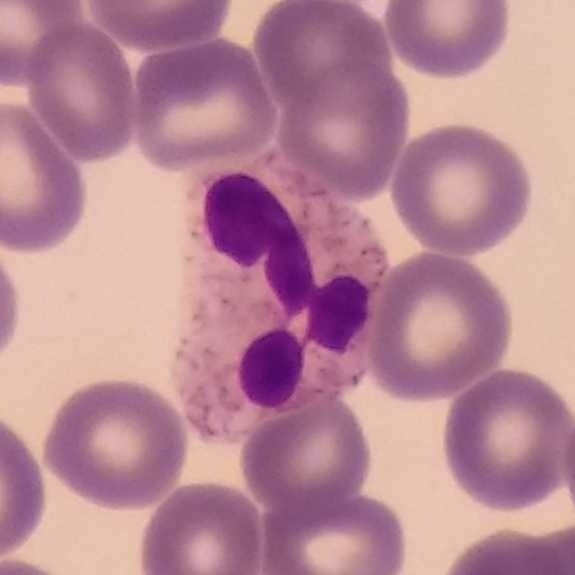 Preparation: Giemsa-stained; peripheral blood film; single-cell field.

White blood cell type — neutrophil.